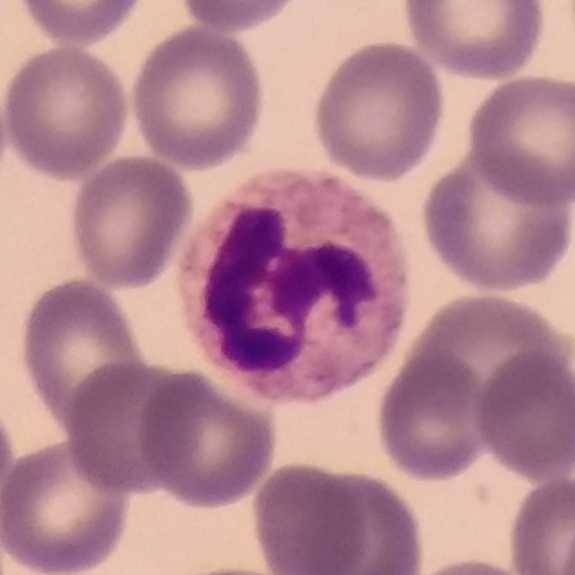
The morphological class is neutrophilic granulocyte.
Peripheral blood film.